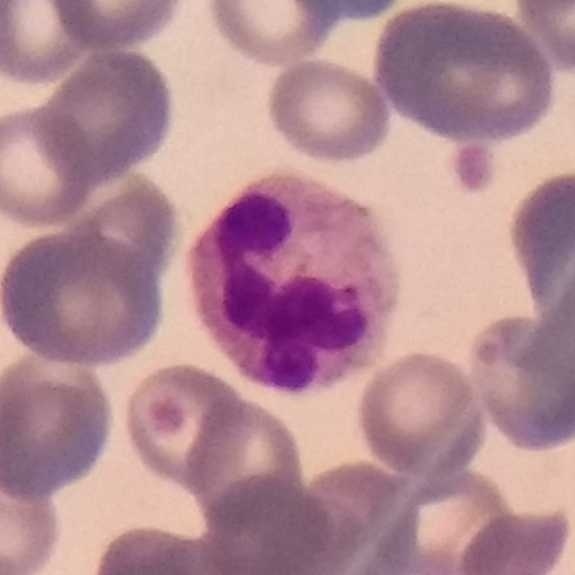Neutrophil.

Peripheral blood smear.